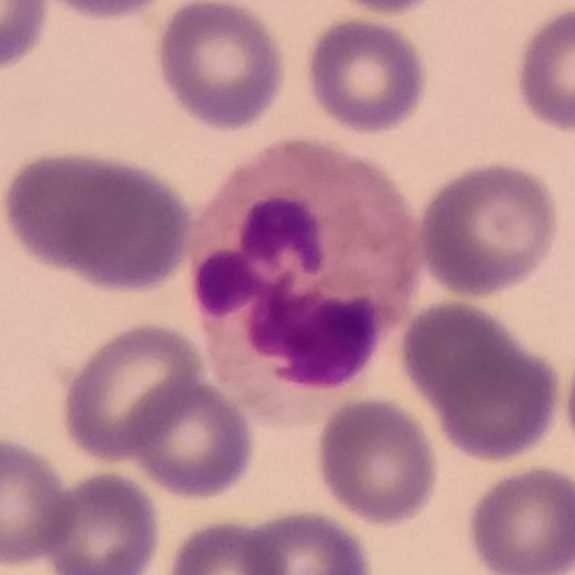
Q: Which cell type is shown here?
A: Neutrophil.

100× magnification. Peripheral blood smear. Phone-camera image taken through the microscope ocular.